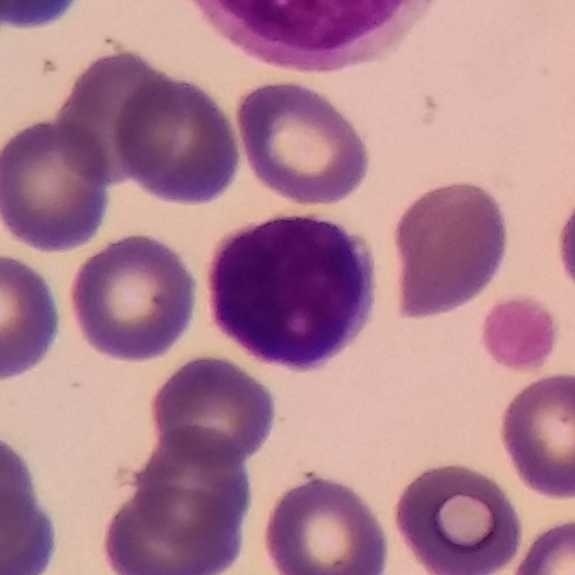

Acquisition: Peripheral blood smear. Image size 575×575. The classification is lymphocyte.